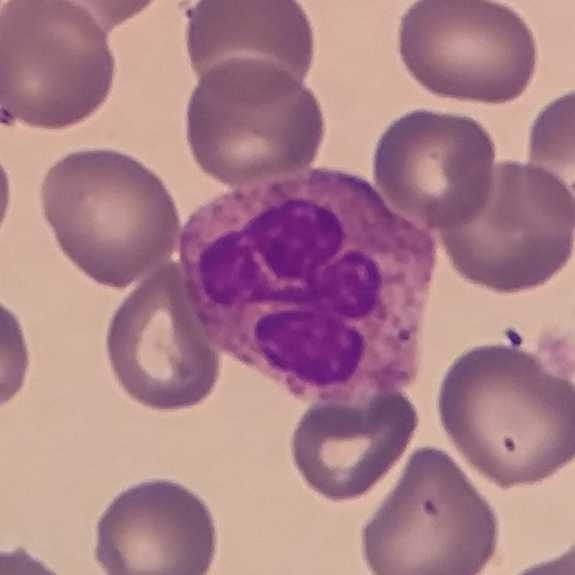

White blood cell type: neutrophilic granulocyte.
Preparation: Peripheral blood smear.